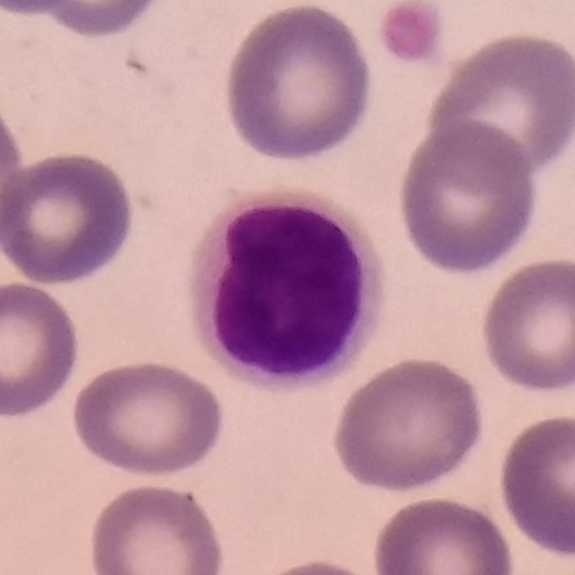

Peripheral blood film. Identified as a lymphocyte.